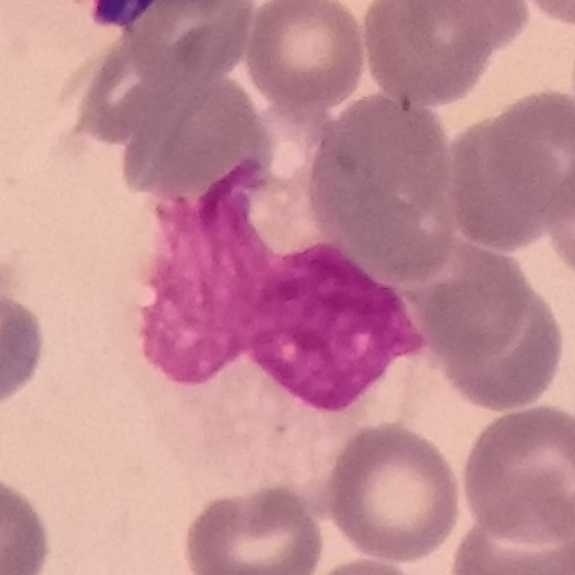
Context: Peripheral blood smear.
Monocyte.